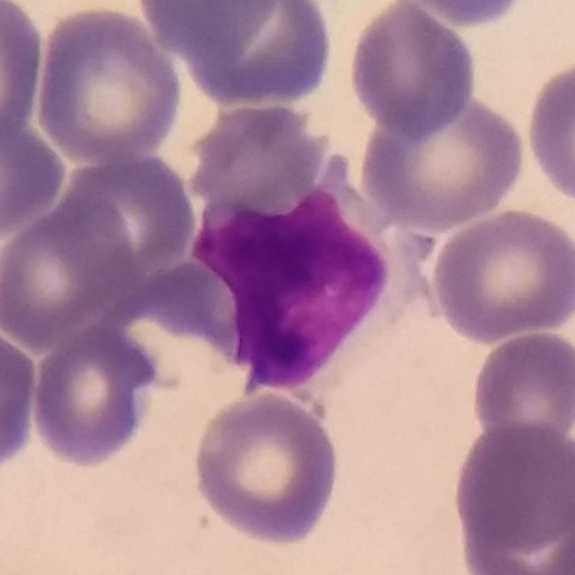

Morphological class: lymphocyte. Photographed through a light microscope with a smartphone camera; peripheral blood smear.